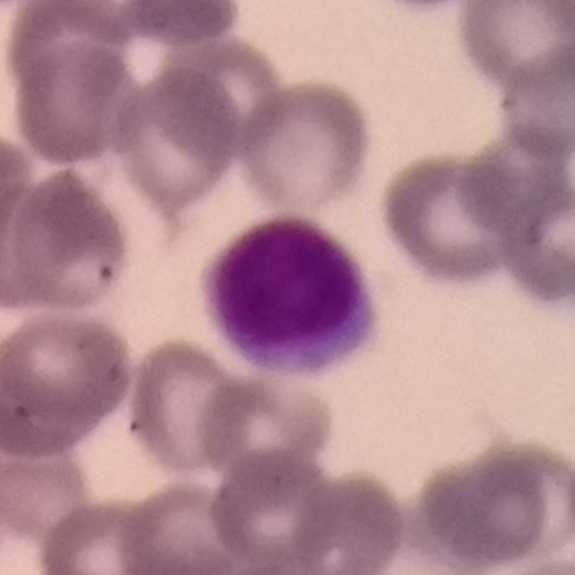Peripheral blood film. A lymphocyte.